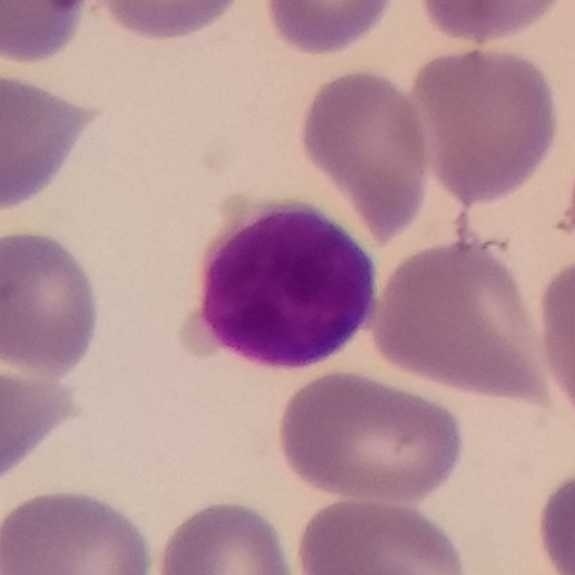 Image: Peripheral blood smear · 100× magnification.
The white blood cell in this image is a lymphocyte.